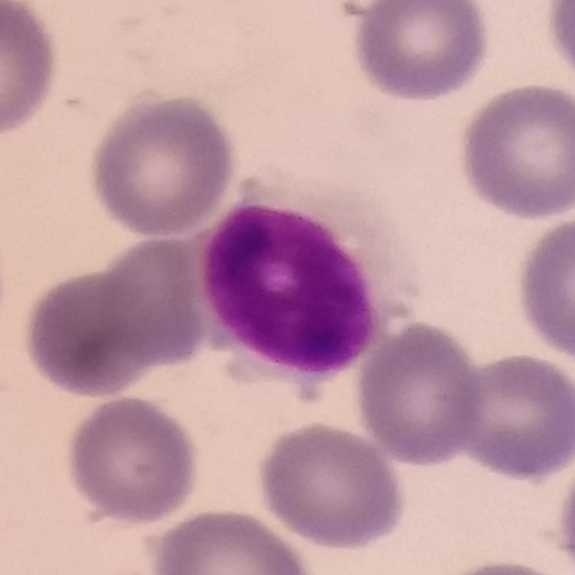 Q: What cell is this?
A: This is a lymphocyte.

Preparation: Imaged at 100×; peripheral blood film.